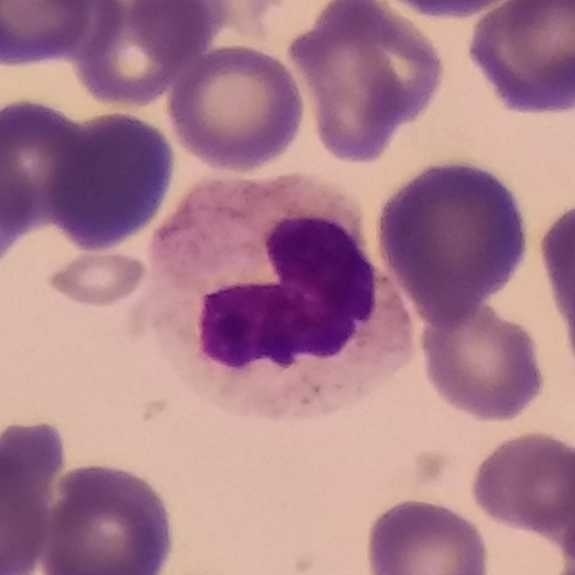Identified as a neutrophilic granulocyte.
Acquisition: Peripheral blood film; image size 575×575.